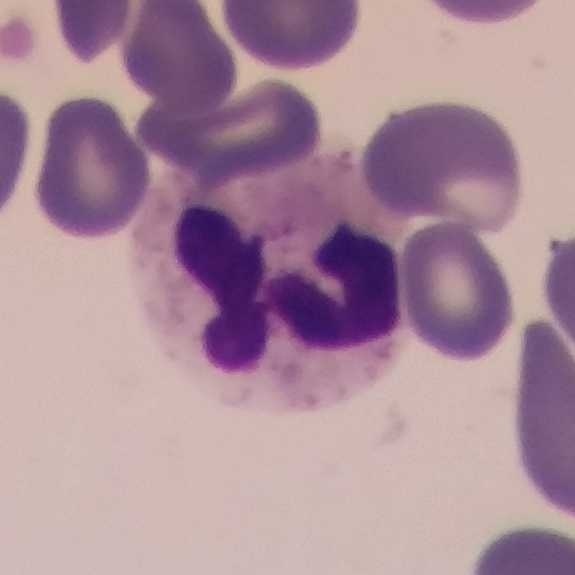
The cell type is neutrophil granulocyte.